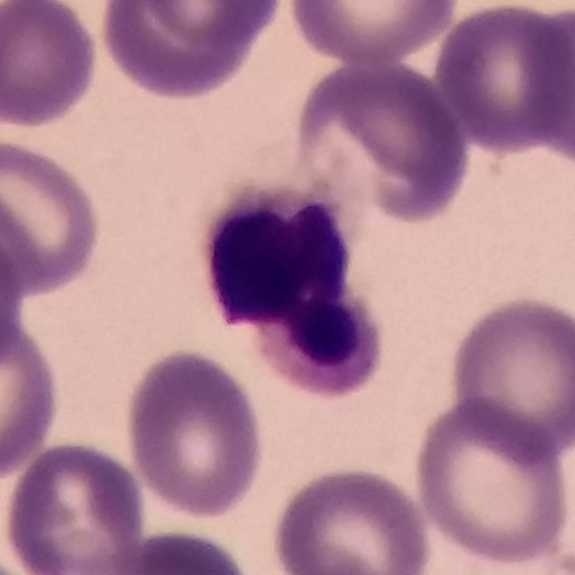
Single cell identified as a neutrophilic granulocyte.

Image: Peripheral blood smear.